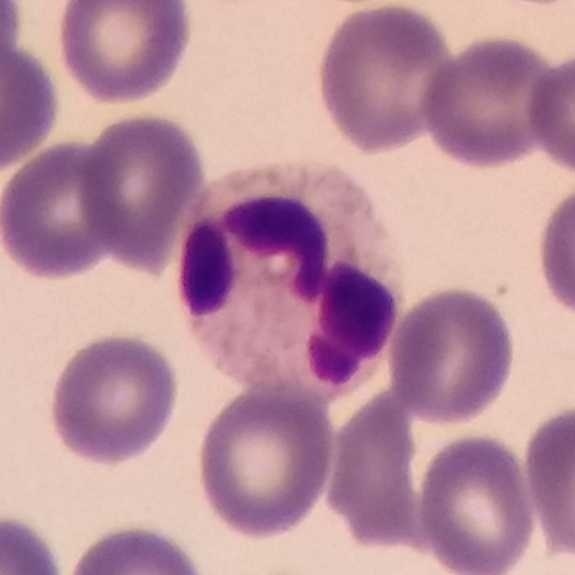 Single cell identified as a neutrophil granulocyte. Image: Peripheral blood film.